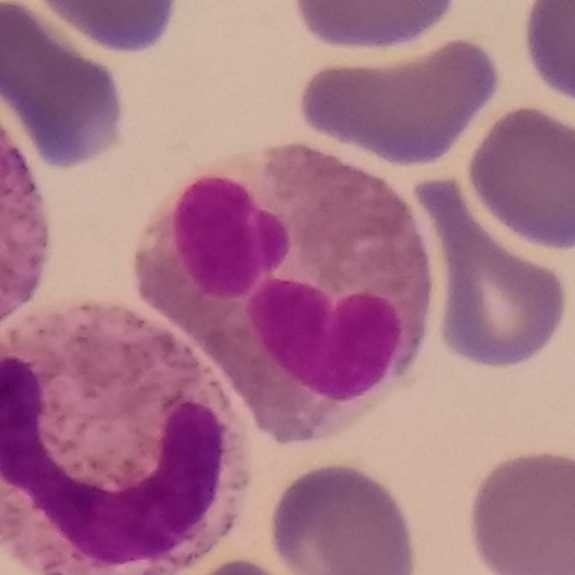
The cell shown is an eosinophil.

Context: Peripheral blood film.